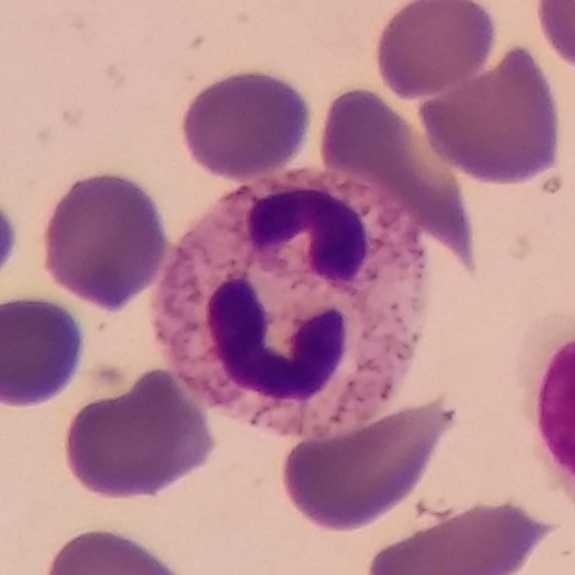Image: Peripheral blood film. Cell: neutrophil granulocyte.